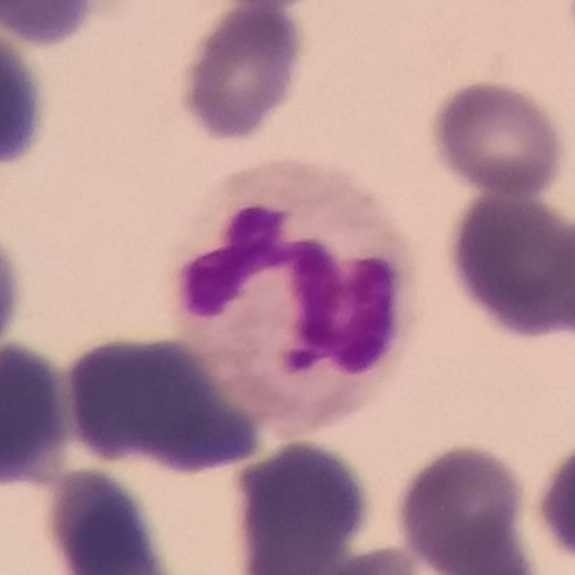
Peripheral blood smear. Q: Which cell type is shown here?
A: This is a neutrophil.